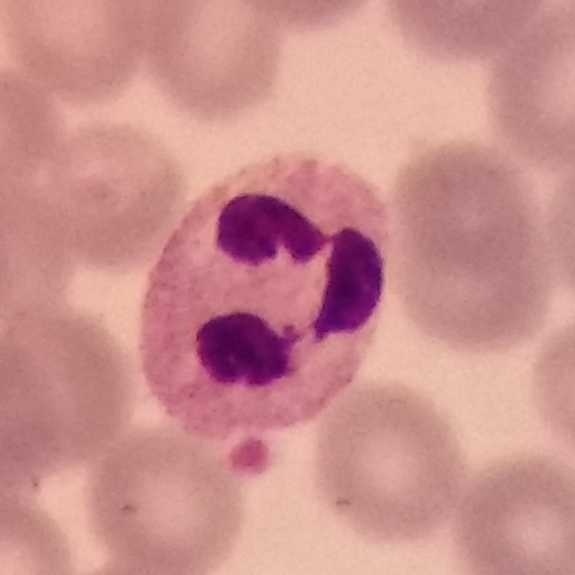
Image: Giemsa-stained; peripheral blood smear; cropped to one leukocyte.
The cell is neutrophil granulocyte.